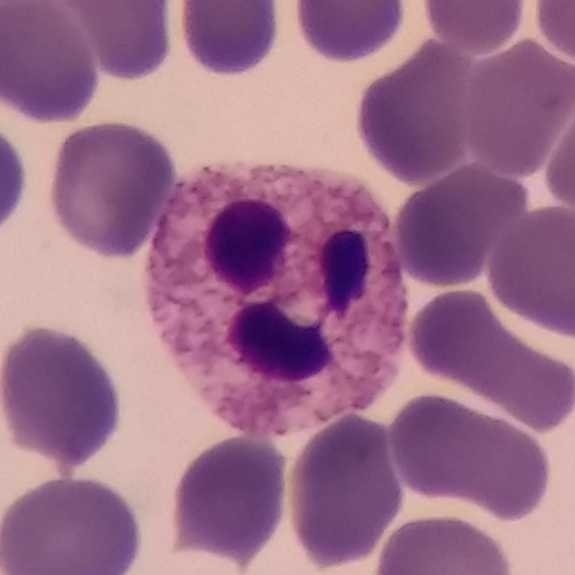

Acquisition: Cropped to one leukocyte; peripheral blood smear.
Impression — neutrophil.